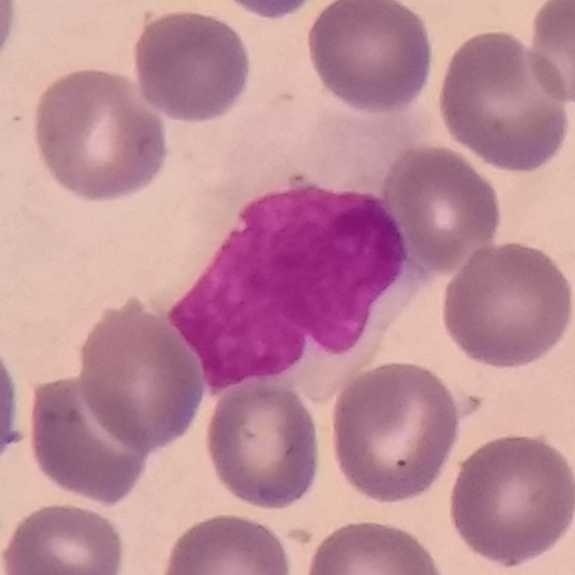The classification is monocyte.